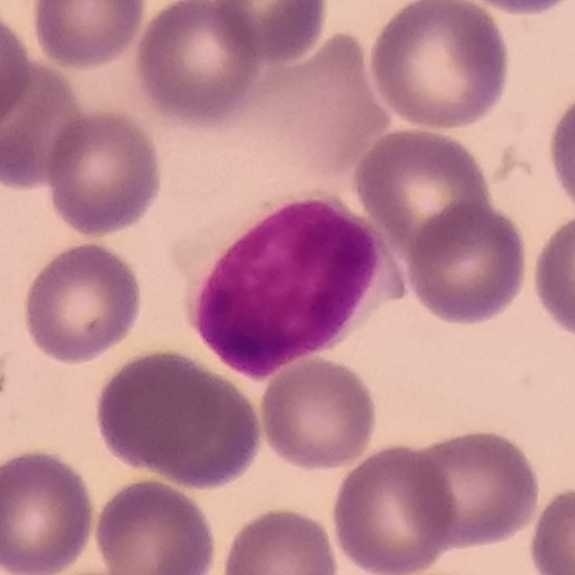

Peripheral blood smear. Magnification 100×.

Morphology consistent with a lymphocyte.